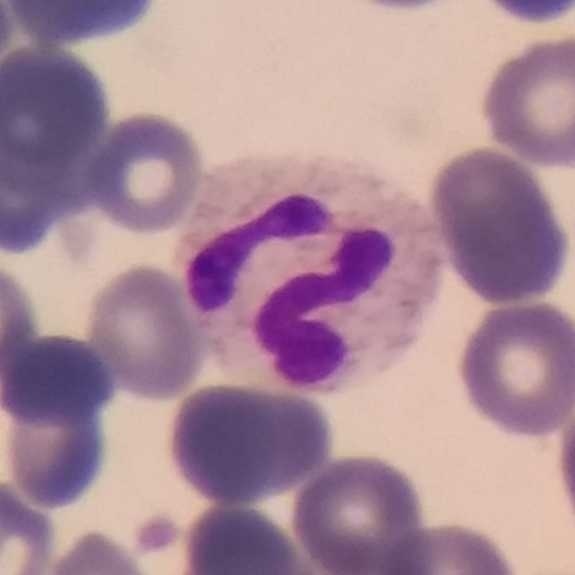

Acquisition: Peripheral blood film; 575 by 575 pixels.
A neutrophil granulocyte.